Peripheral blood film — 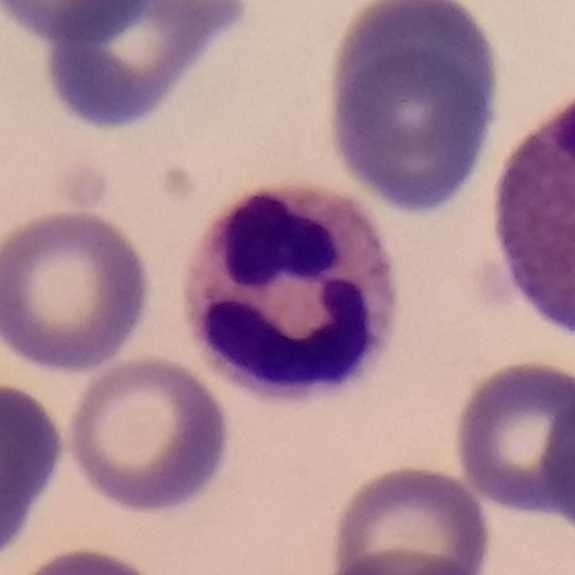Q: What type of cell is this?
A: Neutrophilic granulocyte.